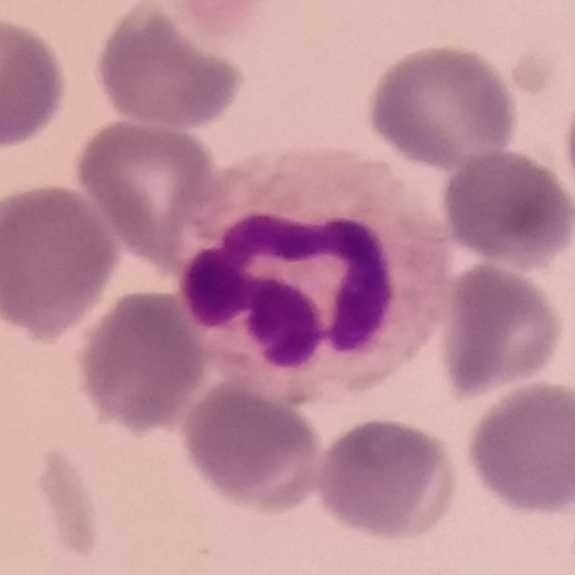The morphological class is neutrophil.